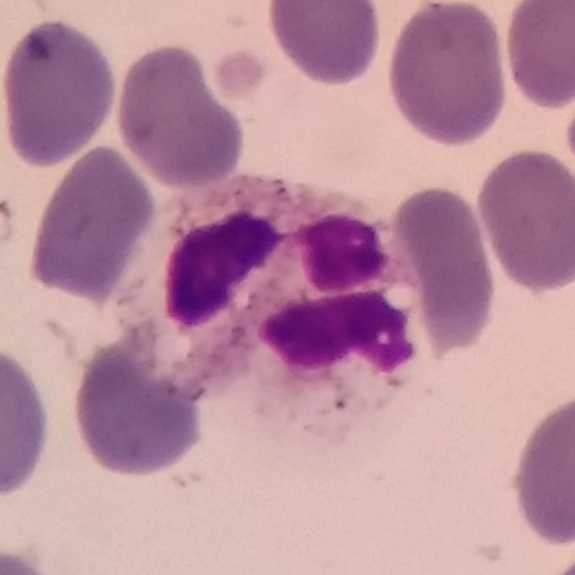Q: Which type of white blood cell is this?
A: Neutrophilic granulocyte.